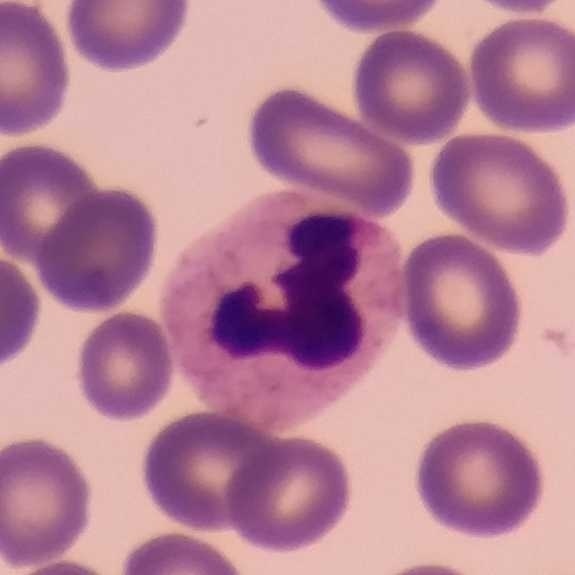 Q: Classify this leukocyte.
A: It is a neutrophil.

575×575 · phone-camera image taken through the microscope ocular · peripheral blood smear.